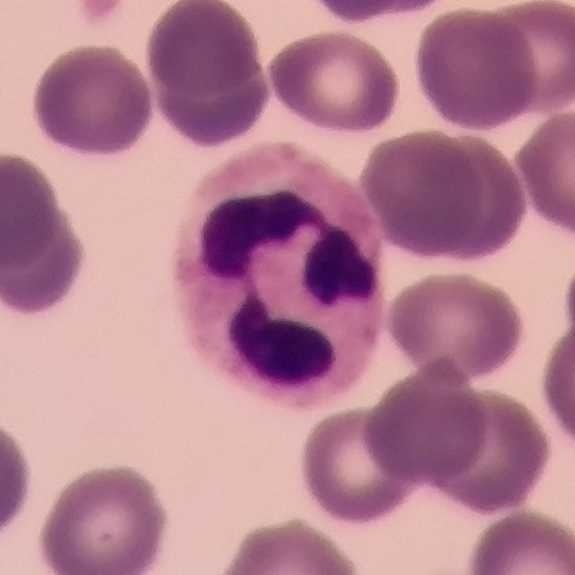Morphology → neutrophil granulocyte.
100× magnification; peripheral blood film.